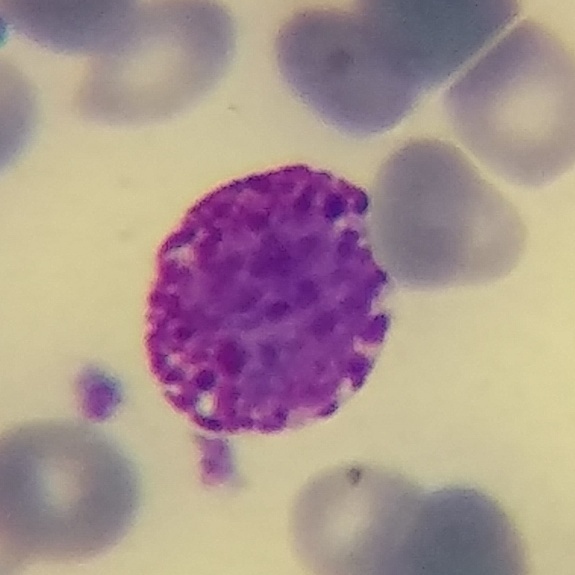

Acquisition: Peripheral blood film. Q: What cell is this?
A: A basophilic granulocyte.